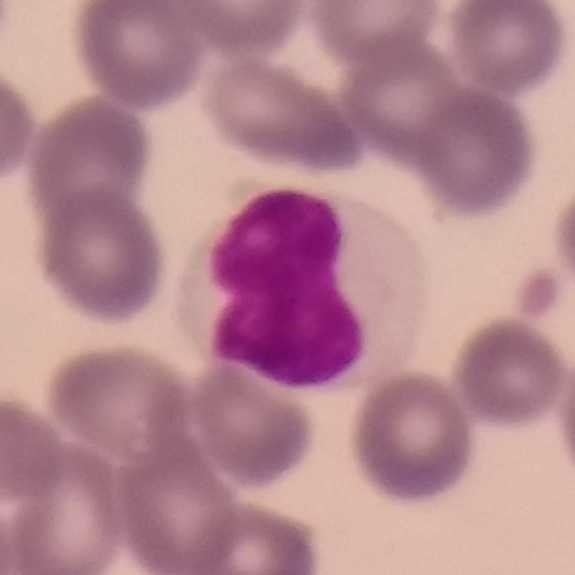

Q: Which type of white blood cell is this?
A: It is a lymphocyte.